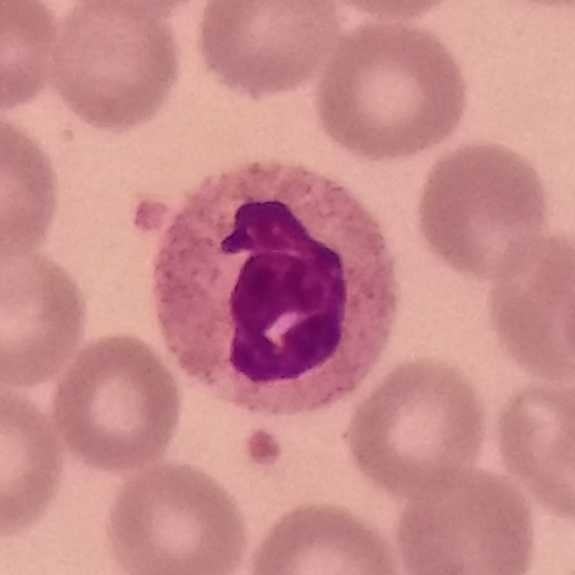 Acquisition: Peripheral blood film.

Impression — neutrophil granulocyte.